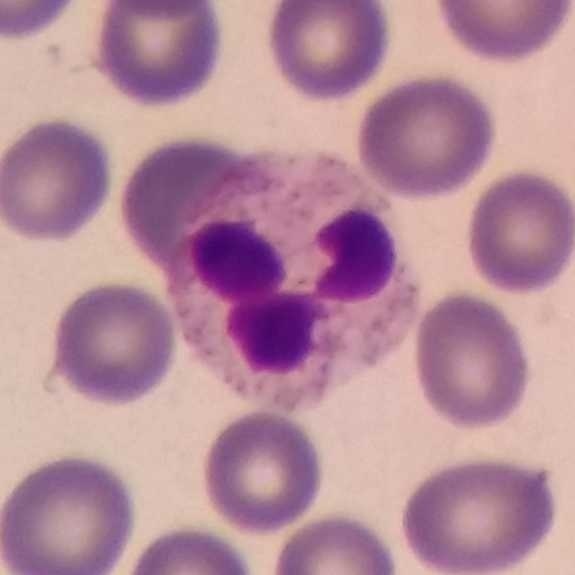Acquisition: Peripheral blood smear. Smartphone photomicrograph. Stained with Giemsa.
Impression → neutrophil.